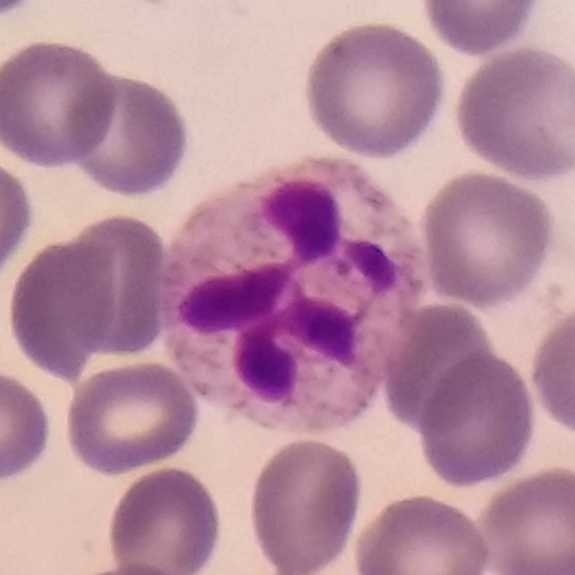 Context: Smartphone photomicrograph.

Specimen: peripheral blood film.
Cell type: neutrophilic granulocyte.